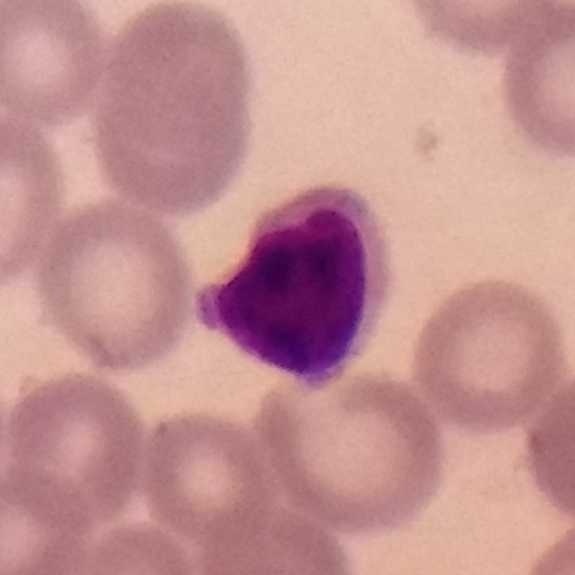

Morphological class — lymphocyte. Preparation: Peripheral blood smear.